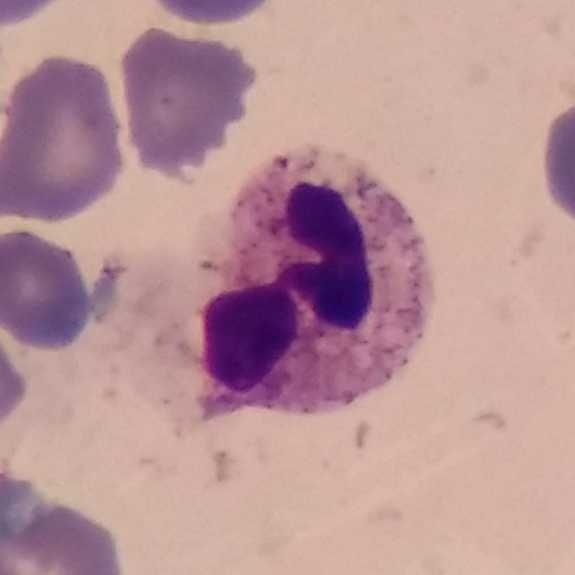

Single cell identified as a neutrophil.
Peripheral blood film. Photographed through a light microscope with a smartphone camera.